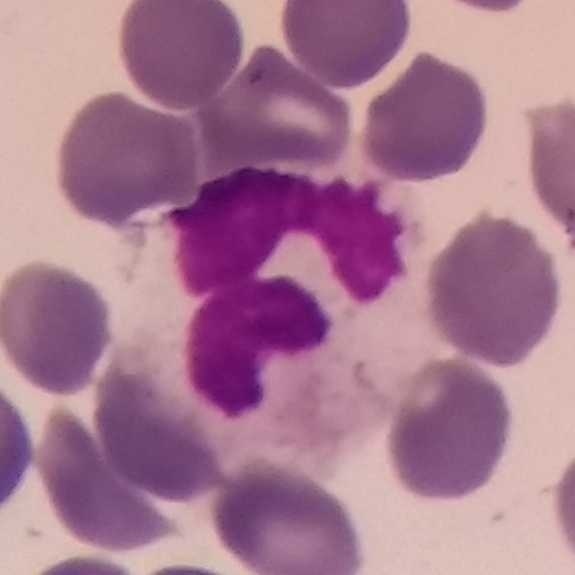 Preparation: Peripheral blood smear.

Morphological class: neutrophil granulocyte.